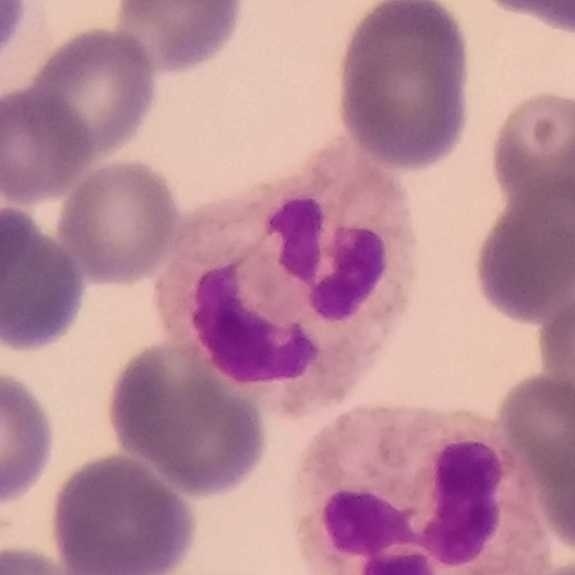
The classification is neutrophil.
Image: 575 by 575 pixels; peripheral blood smear.